Giemsa-stained · peripheral blood film.
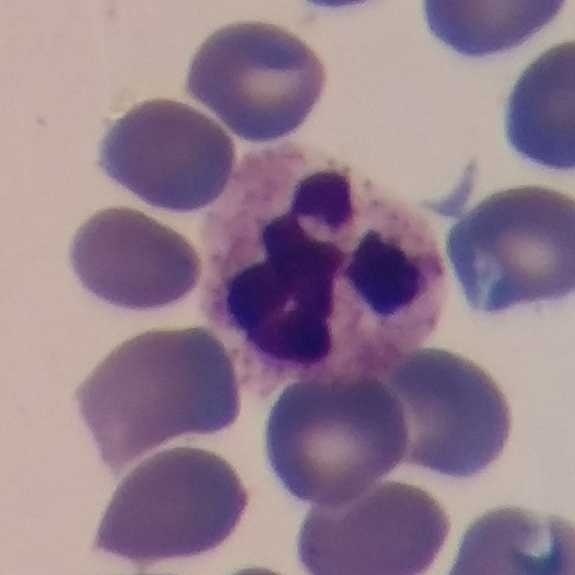Specimen: peripheral blood film.
White blood cell type: neutrophil granulocyte.
Lineage: myeloid.